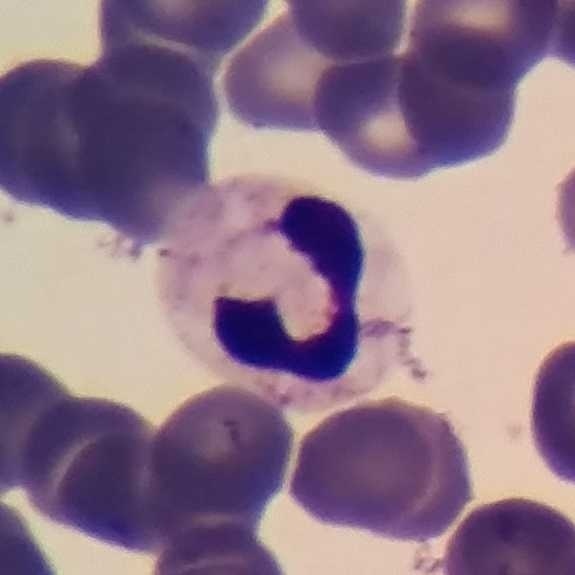
Neutrophilic granulocyte.
Context: 575×575 px; peripheral blood smear.